Peripheral blood smear.
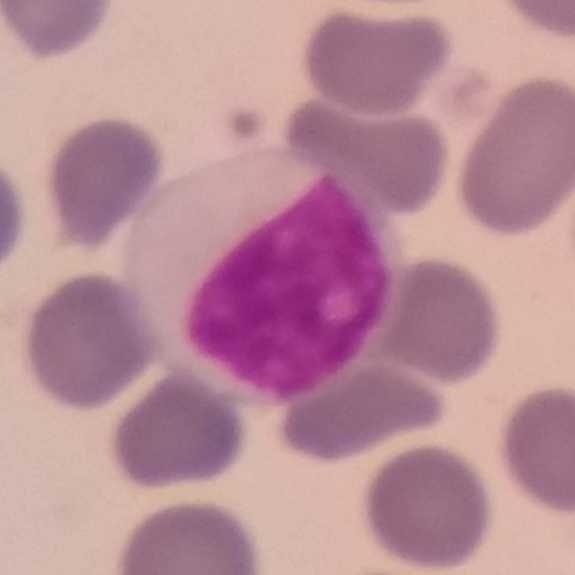
This is a lymphocyte.